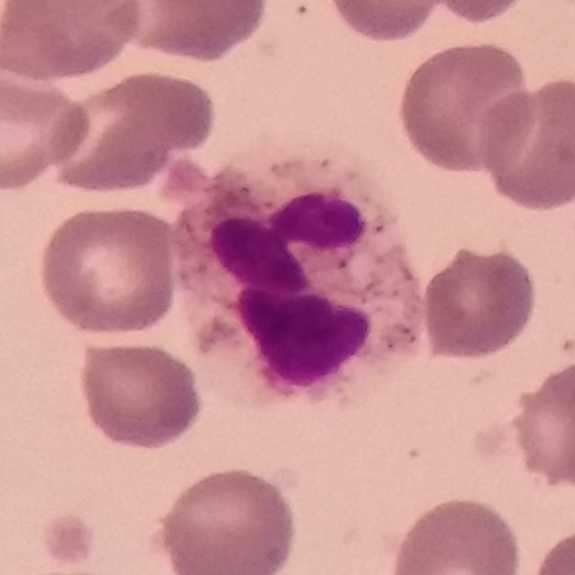

The morphological class is neutrophil granulocyte.
Image: 575×575. Phone-camera image taken through the microscope ocular. Peripheral blood film.